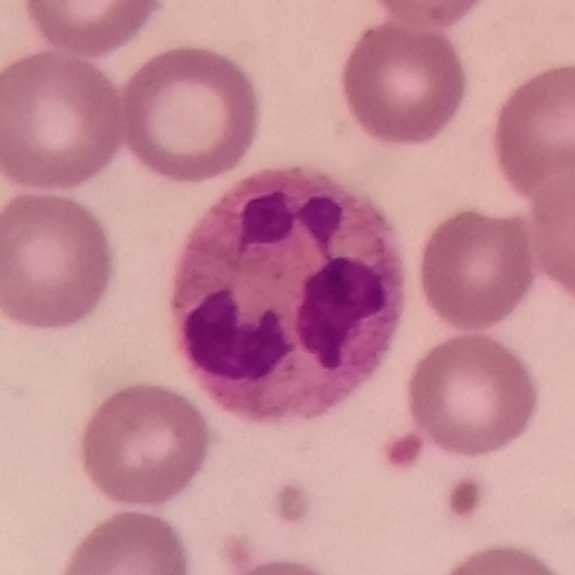
Q: Which type of white blood cell is this?
A: A neutrophil.
Peripheral blood film. Cropped to one leukocyte.